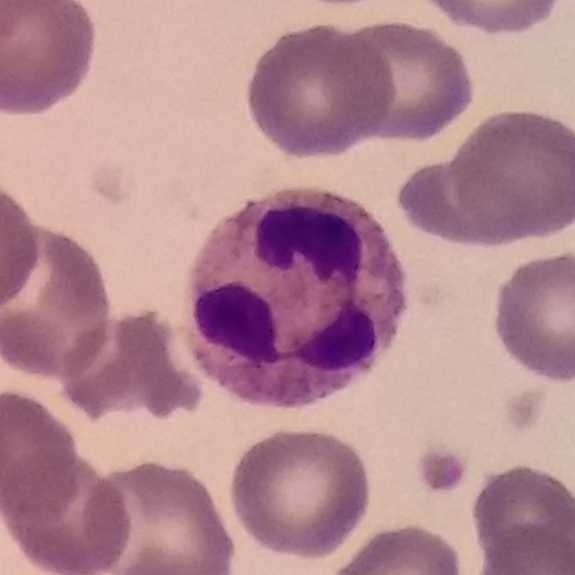Specimen: peripheral blood smear.
Cell: neutrophilic granulocyte.
Lineage: myeloid.